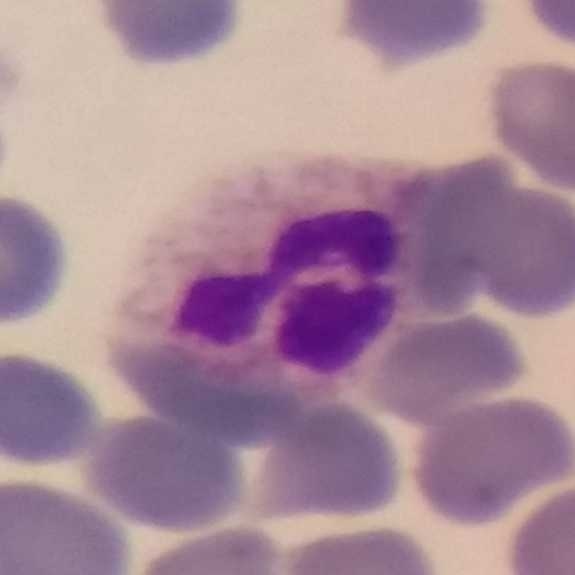

Cropped to one leukocyte; peripheral blood smear.
Q: What type of cell is this?
A: This is a neutrophil.